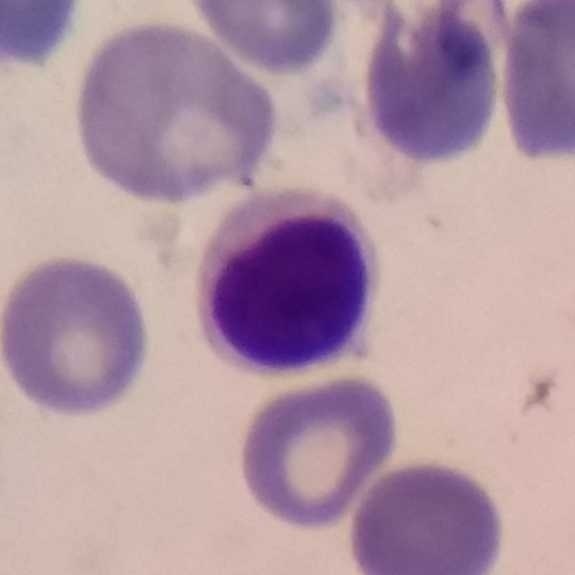

Acquisition: Peripheral blood film.

Lymphocyte.